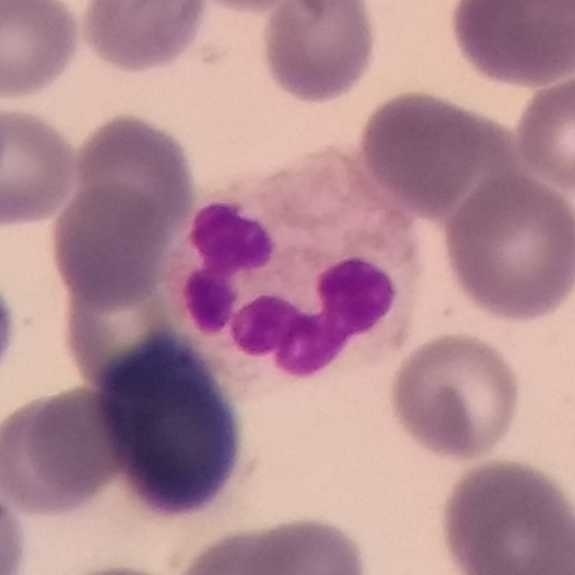Q: Which cell type is shown here?
A: A neutrophilic granulocyte.
Image: Peripheral blood film.